Peripheral blood smear
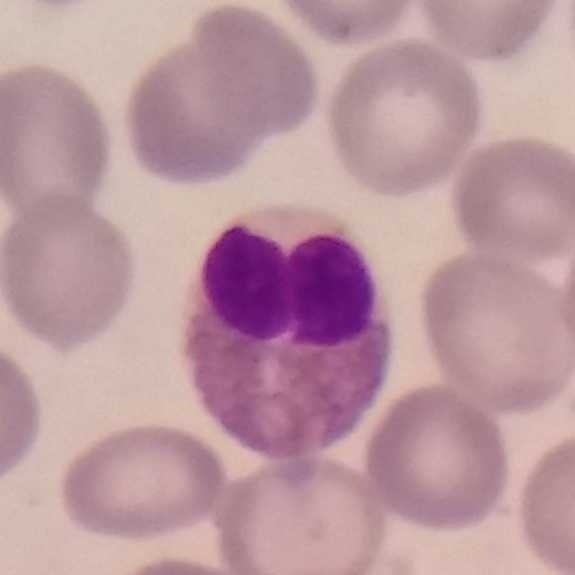

The classification is eosinophilic granulocyte.